Peripheral blood film — 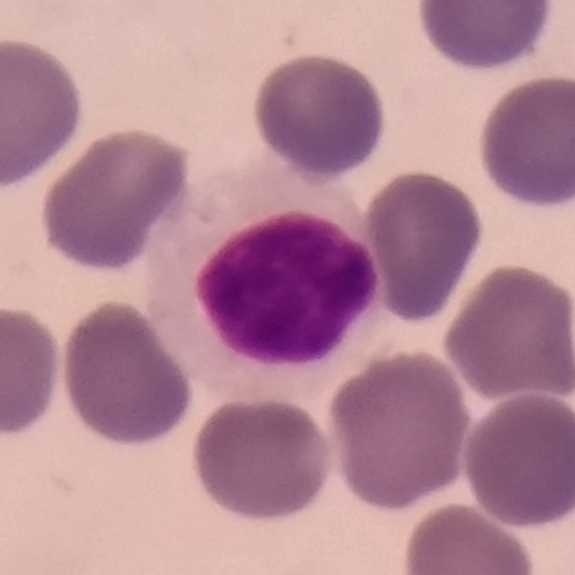Showing a lymphocyte.